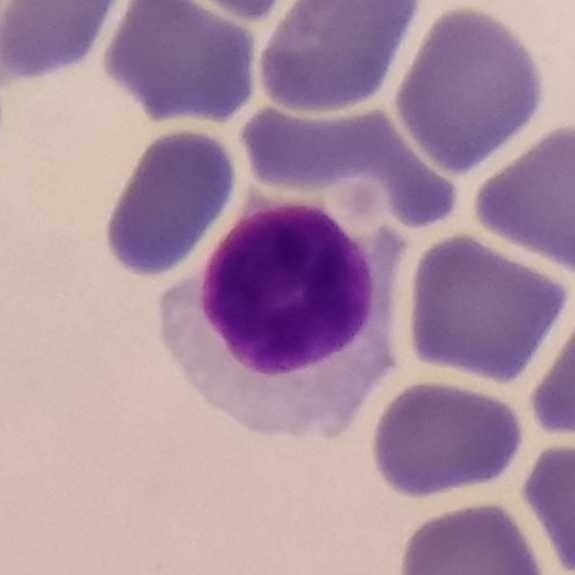Q: Which cell type is shown here?
A: It is a lymphocyte.